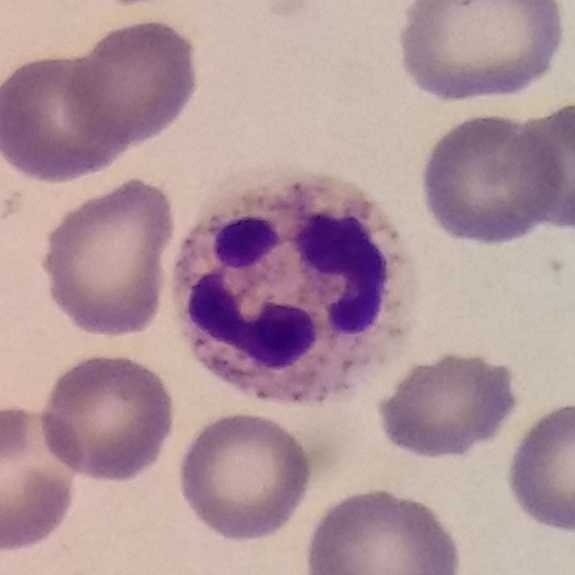 Acquisition: Peripheral blood film.
Impression — neutrophilic granulocyte.